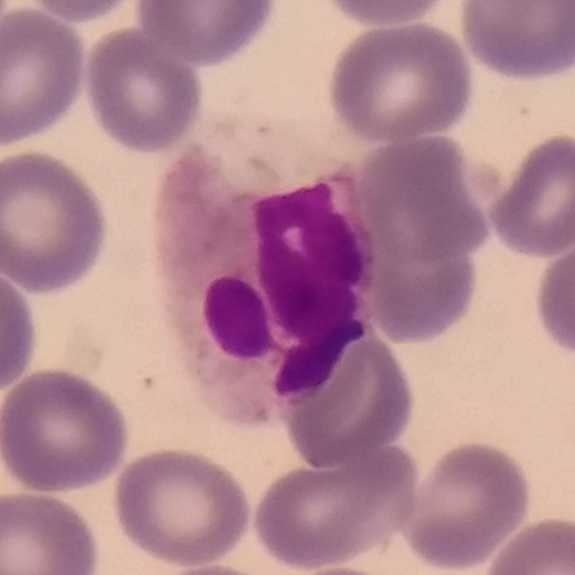

Specimen: peripheral blood film.
White blood cell type: neutrophil.